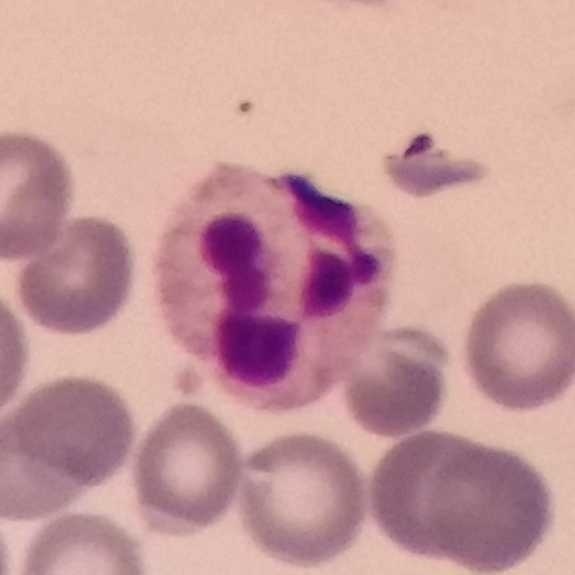Impression → neutrophilic granulocyte.